Smartphone photomicrograph. Peripheral blood film: 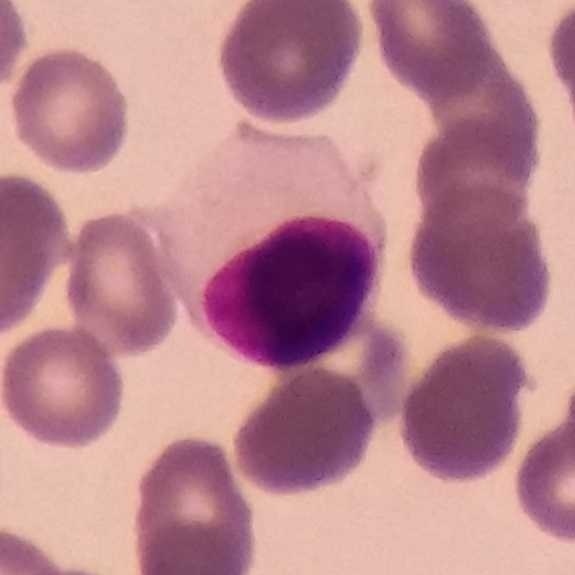

Single cell identified as a lymphocyte.